Peripheral blood film; single-cell crop
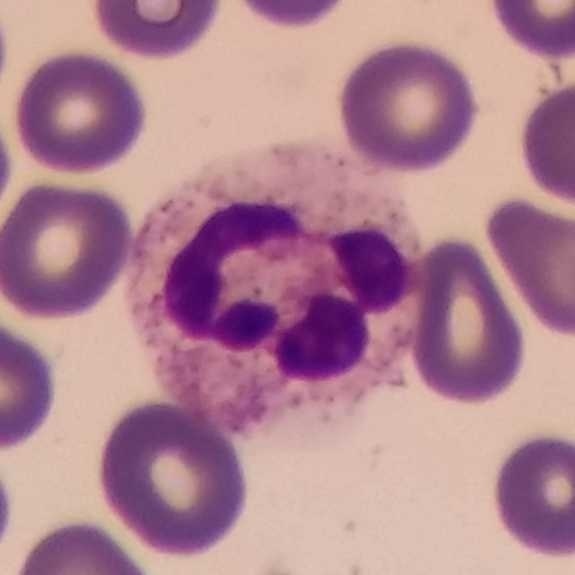
Showing a neutrophil.